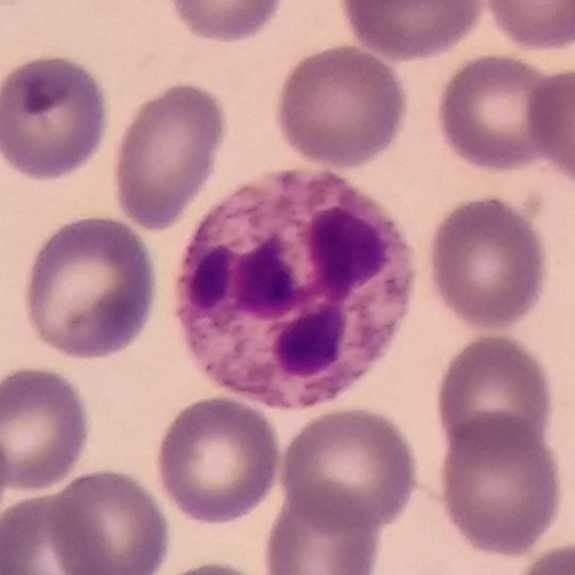

Peripheral blood film.
Impression — neutrophil.